Imaged at 100×. Peripheral blood film. Stained with Giemsa
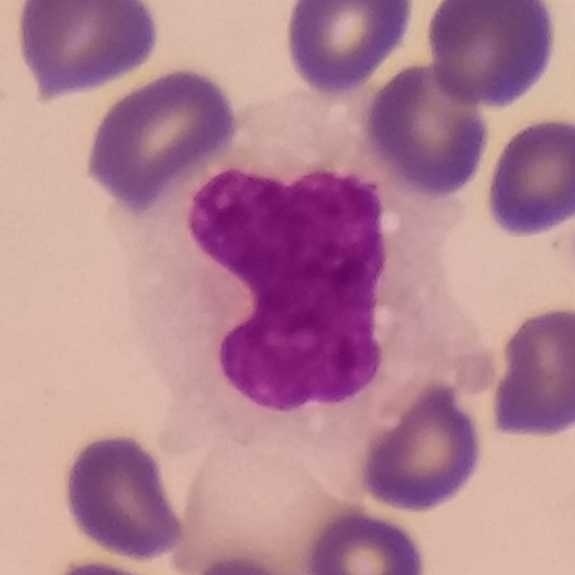 Q: What cell is this?
A: Monocyte.